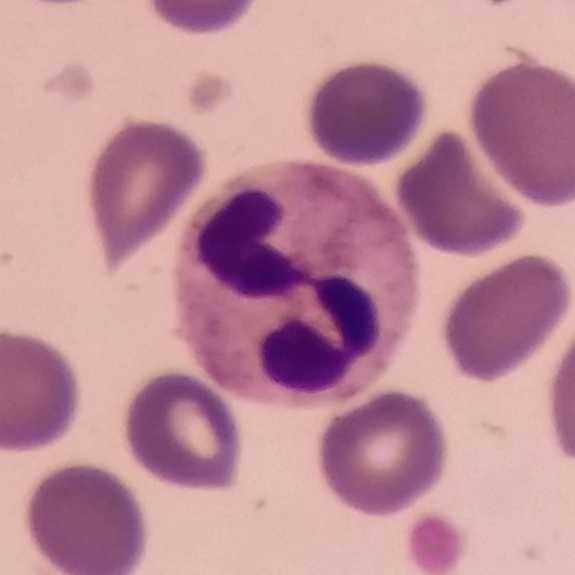
The white blood cell in this image is a neutrophil granulocyte.